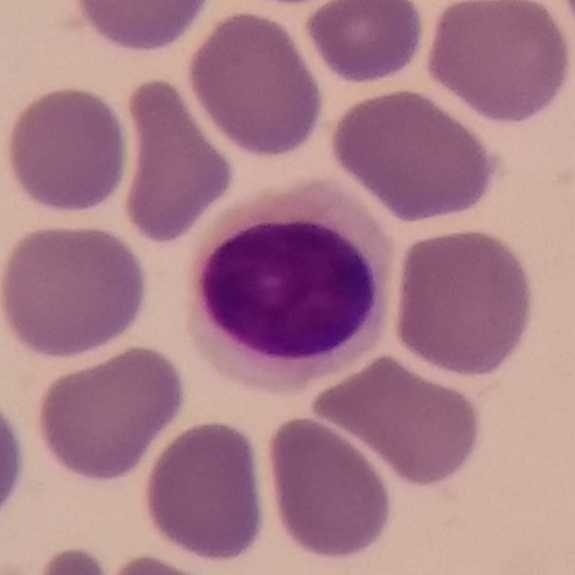 Context: Peripheral blood smear.

Morphology — lymphocyte.